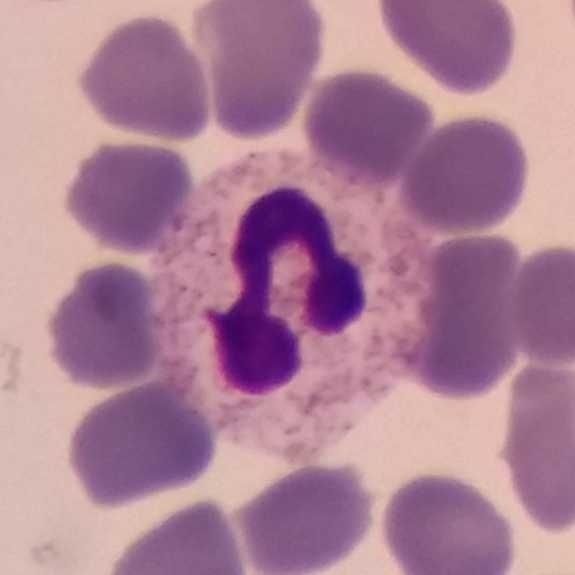100× magnification; peripheral blood smear.

Morphology → neutrophil.